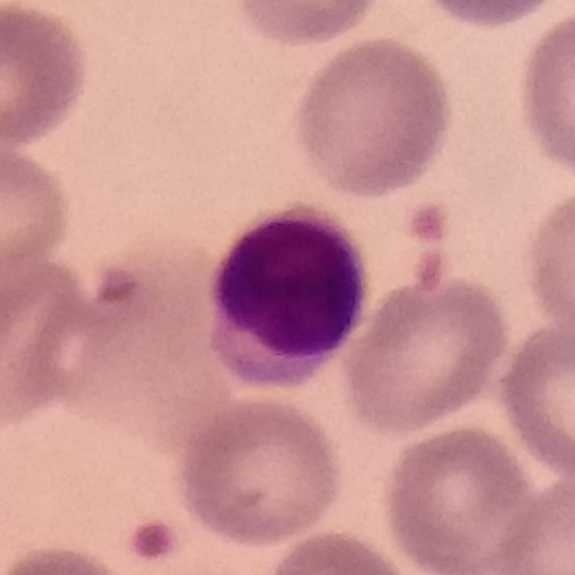
Showing a lymphocyte.